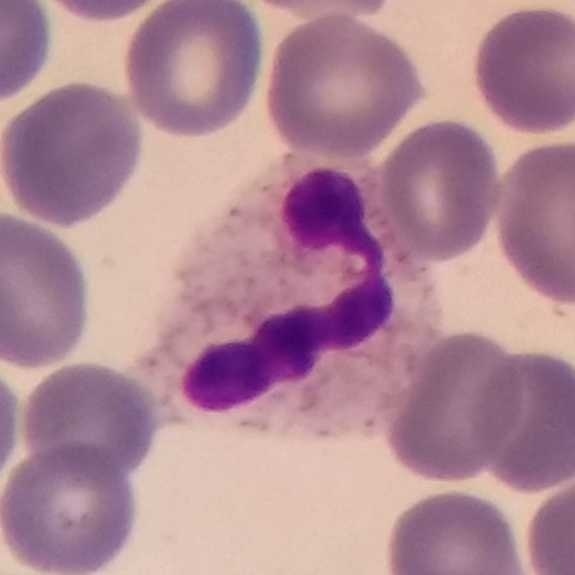Classification: neutrophil.
Peripheral blood smear.